Photographed through a light microscope with a smartphone camera; peripheral blood film.
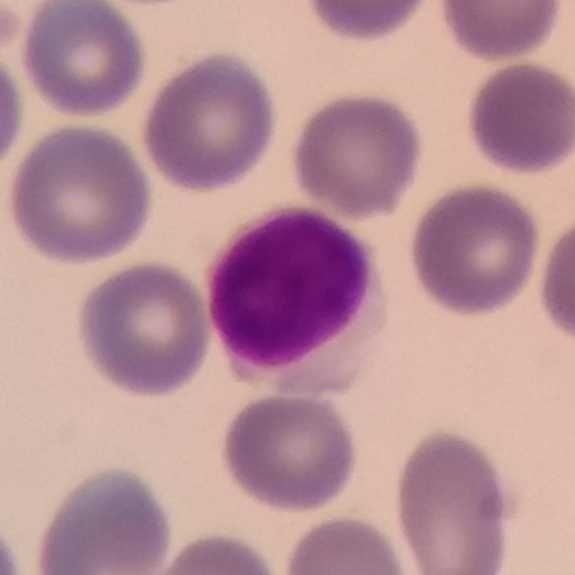Impression → lymphocyte.